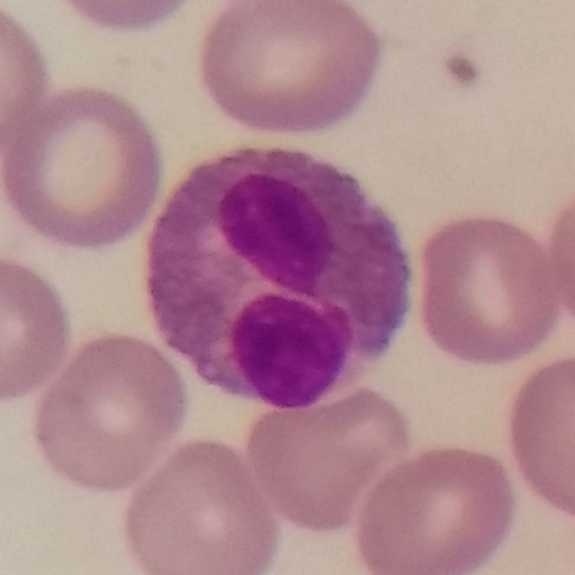
Specimen: peripheral blood film.
Classification: eosinophil.
Lineage: myeloid.